Peripheral blood smear
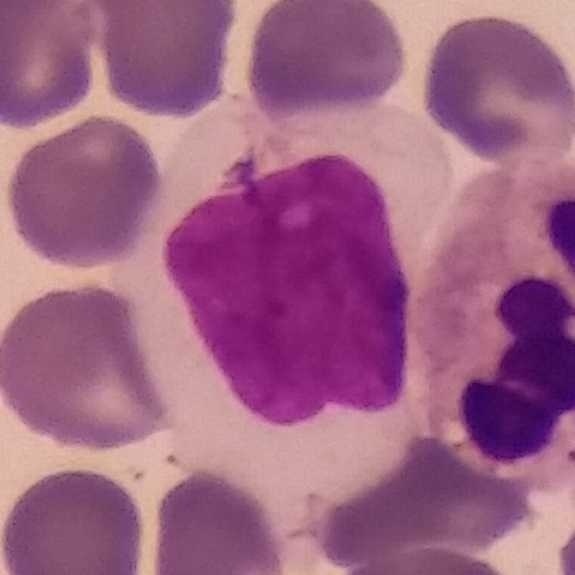 Showing a lymphocyte.